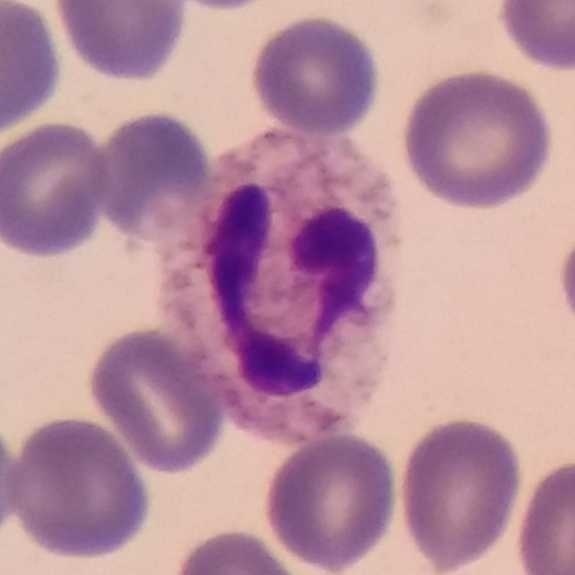A neutrophil.

Image: Peripheral blood film.